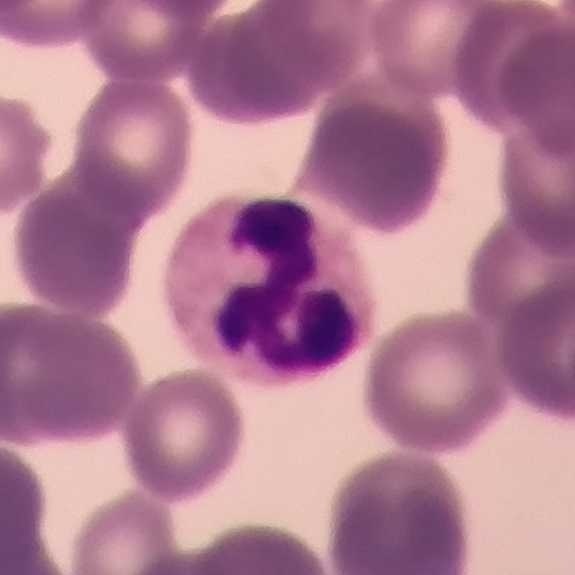
Cell type: neutrophil.